Peripheral blood film · smartphone camera mounted on the microscope eyepiece:
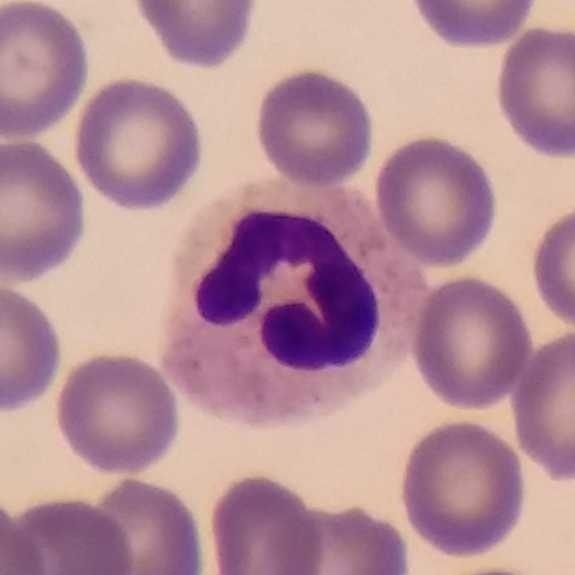
Showing a neutrophil.